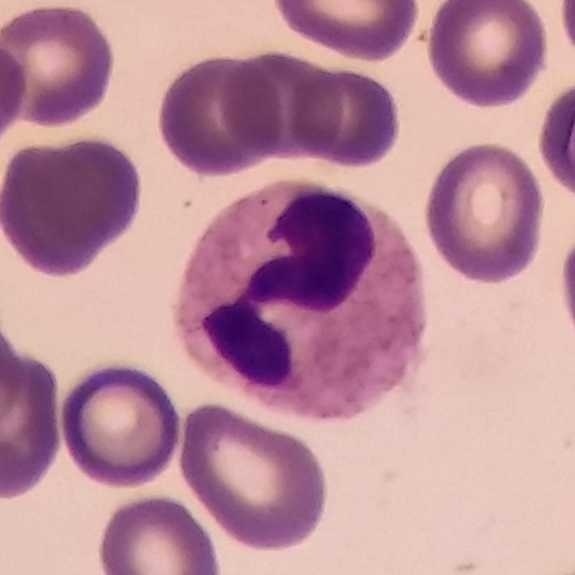White blood cell type: neutrophilic granulocyte.
Preparation: Peripheral blood film.